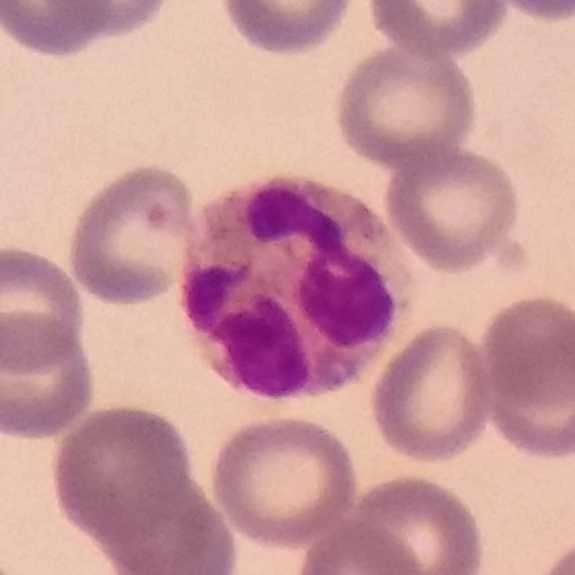Peripheral blood smear.
Neutrophil granulocyte.